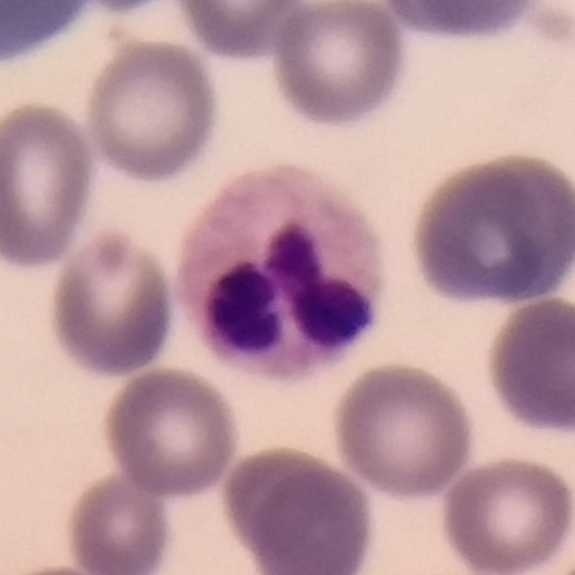 {"cell_type": "neutrophil"}
Context: Peripheral blood film; Giemsa-stained.